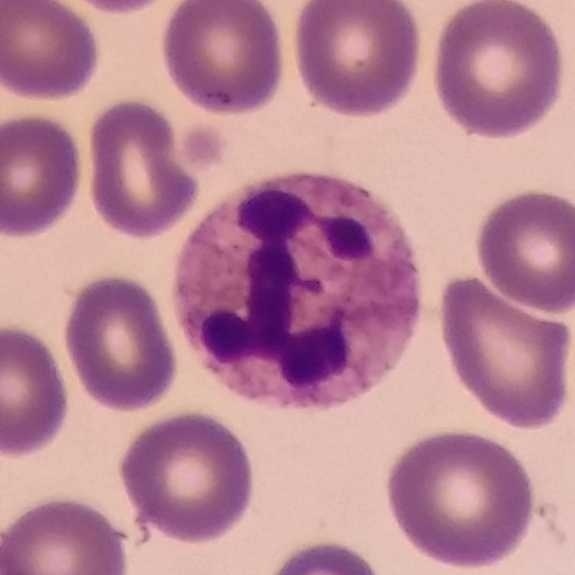

Peripheral blood film. Cell type: neutrophil.